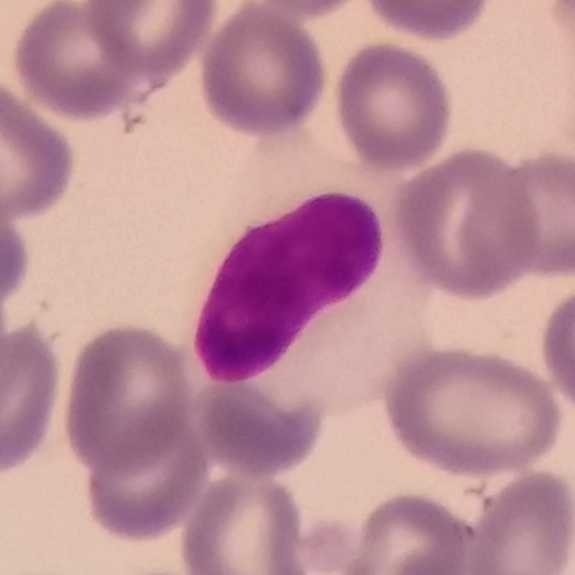

The white blood cell in this image is a lymphocyte.